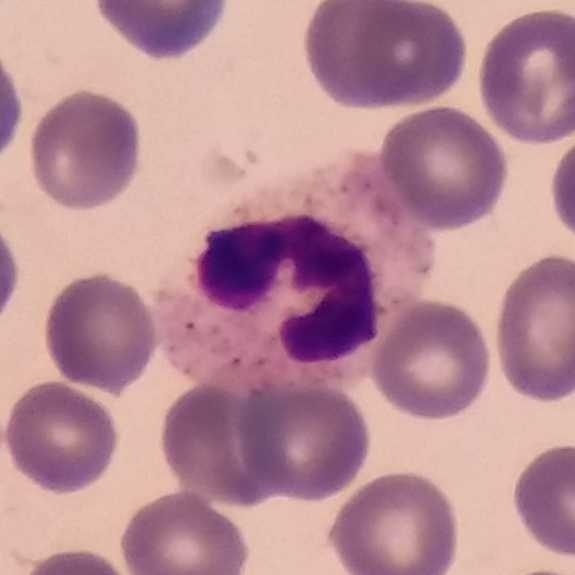The white blood cell in this image is a neutrophil granulocyte.